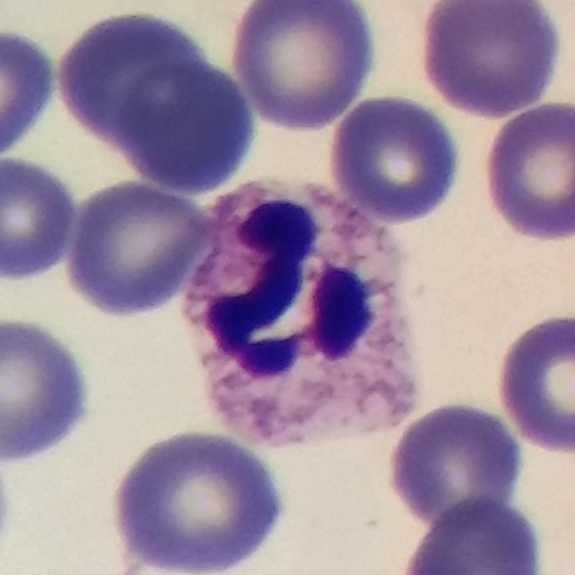

White blood cell from a peripheral blood smear: neutrophilic granulocyte.